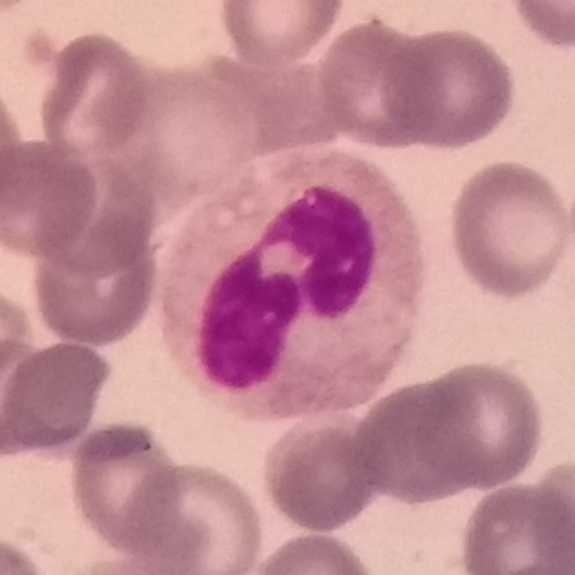 Preparation: Single white blood cell cropped from the smear photograph.
Specimen: peripheral blood film.
Cell: neutrophil granulocyte.